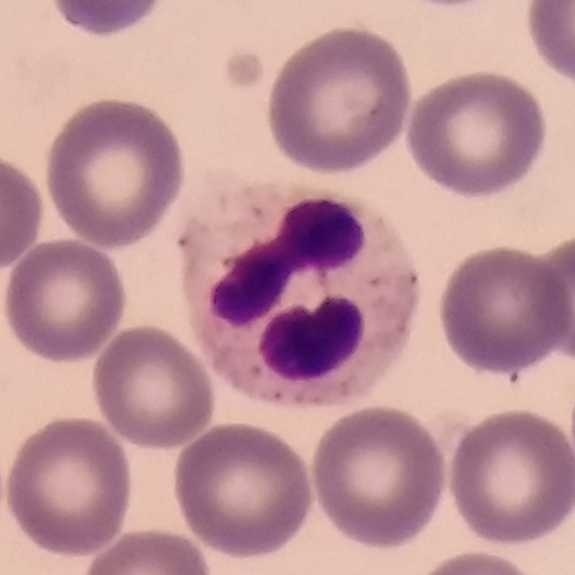 Specimen: peripheral blood smear.
Cell: neutrophil.
Lineage: myeloid.